575×575; peripheral blood smear.
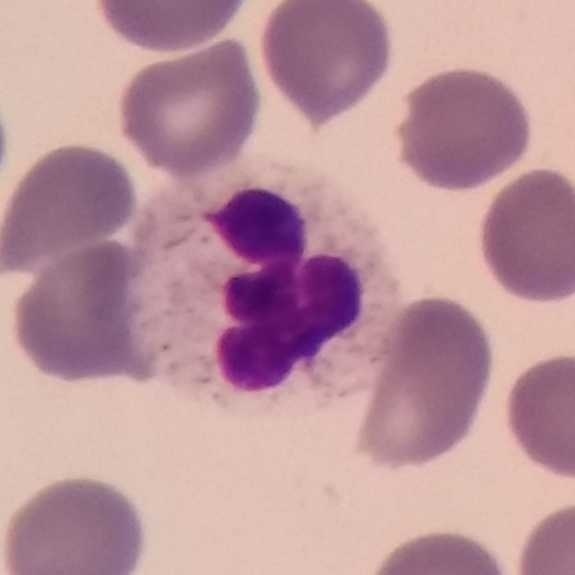

Q: What is the morphological classification of this cell?
A: Neutrophil granulocyte.